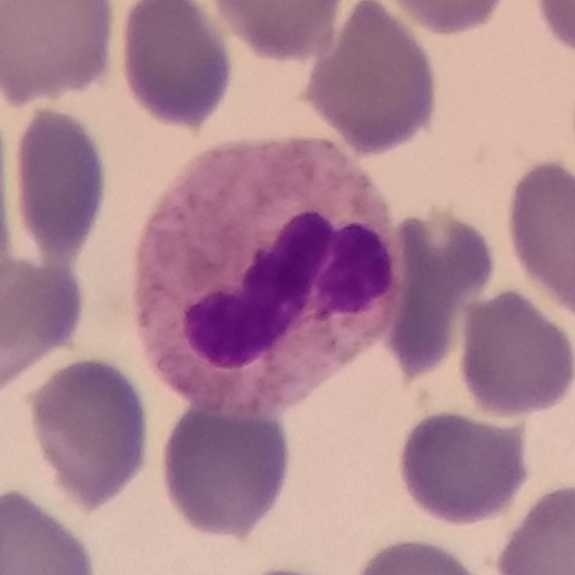{"cell_type": "neutrophil granulocyte", "lineage": "myeloid"}
Peripheral blood smear.